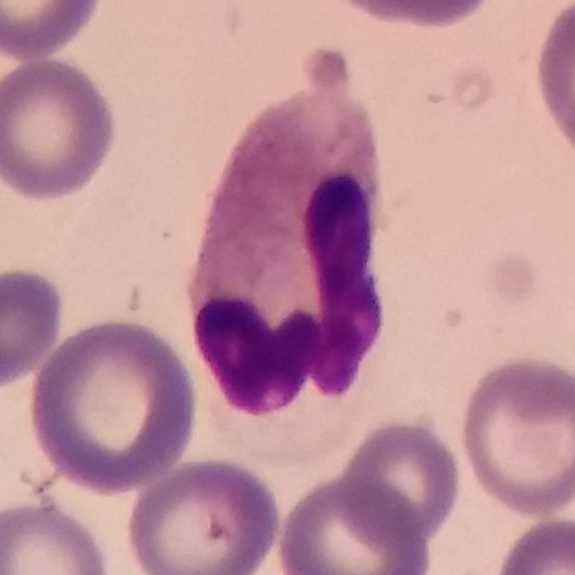

Cell — neutrophil. Acquisition: Single white blood cell cropped from the smear photograph; peripheral blood film.